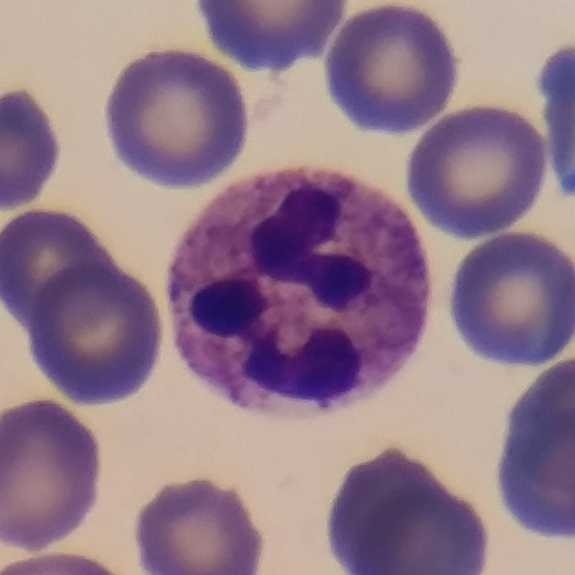
{"cell_type": "neutrophil"} 575 by 575 pixels. Peripheral blood smear.